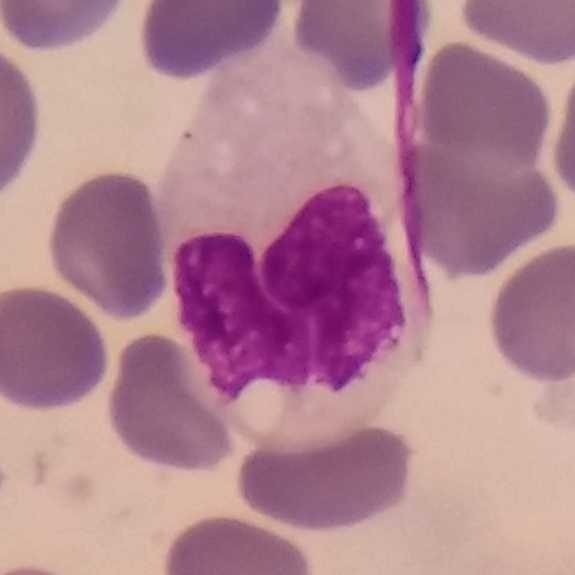

Preparation: Single-cell field. Peripheral blood smear. 575 by 575 pixels. The cell is monocyte.